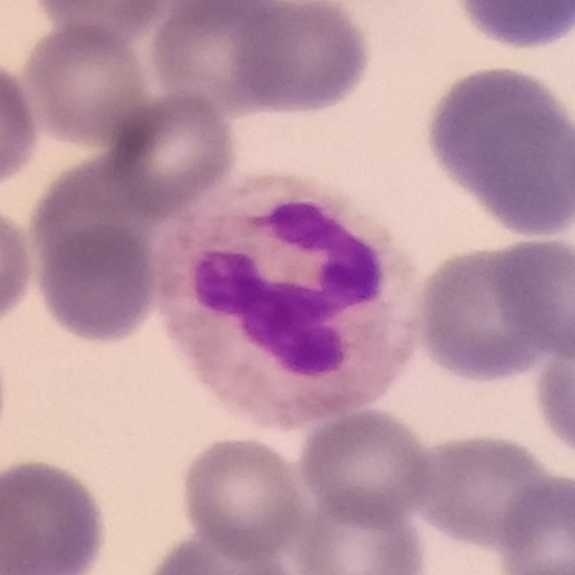

Acquisition: Peripheral blood film. Q: Identify the cell.
A: It is a neutrophil.